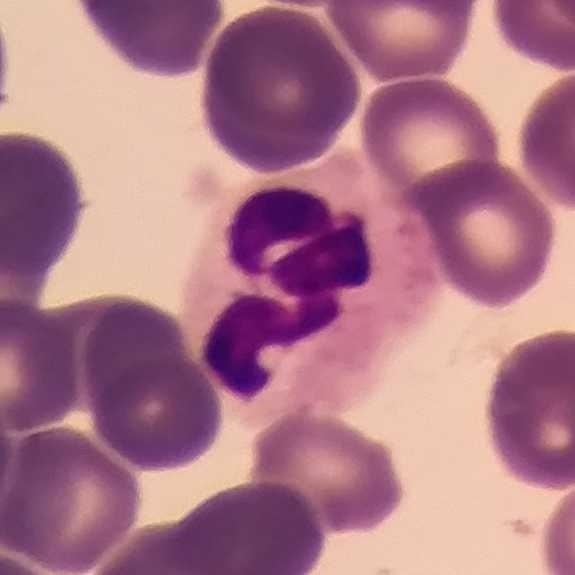
Specimen: peripheral blood film.
Classification: neutrophilic granulocyte.